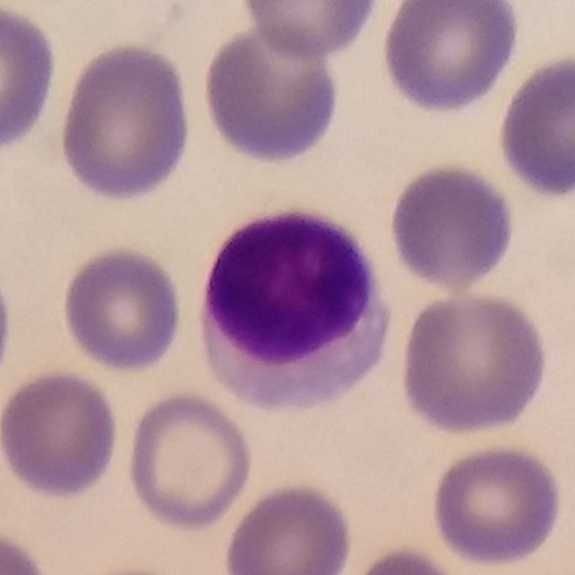Classification = lymphocyte. Imaged at 100× · peripheral blood smear · single-cell field.